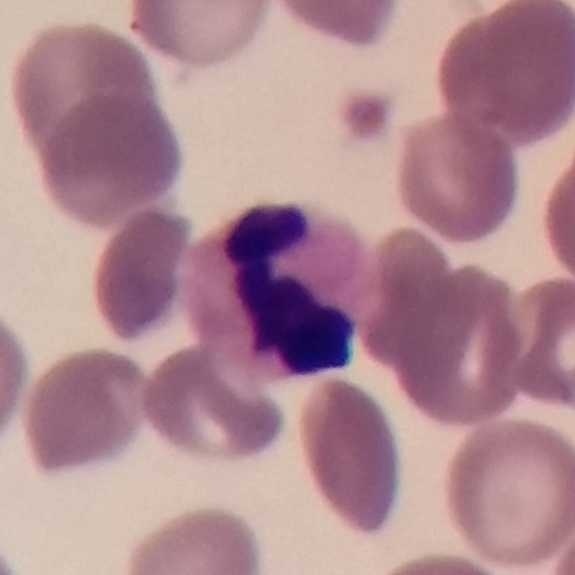 Single-cell crop from a peripheral blood smear: neutrophil.